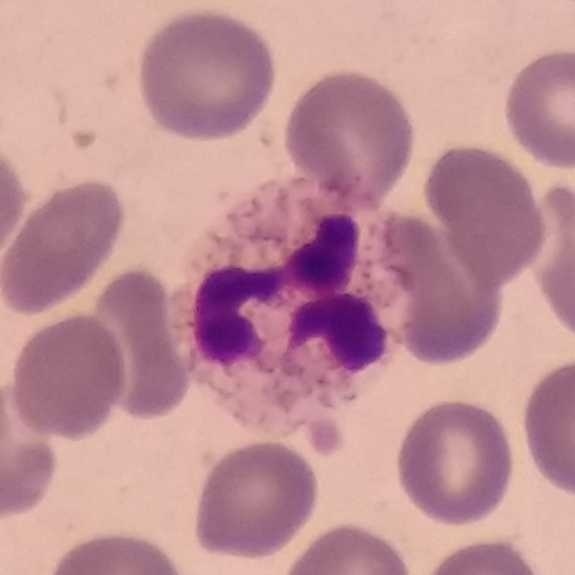
Q: Identify the cell.
A: A neutrophil.
Preparation: 100× magnification; photographed through a light microscope with a smartphone camera; peripheral blood smear.